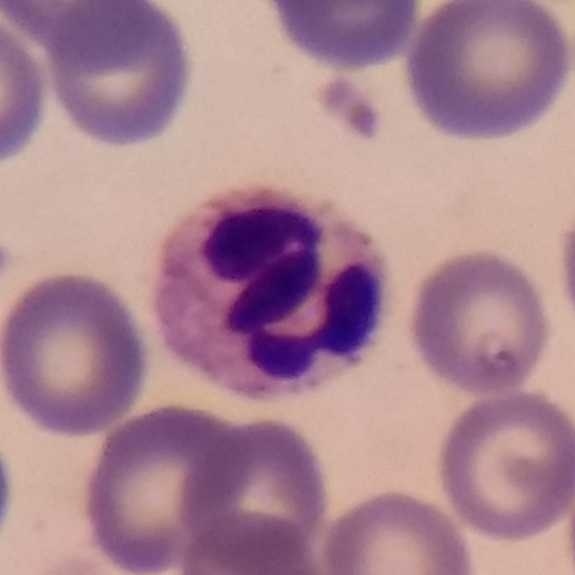
Context: Peripheral blood film. The white blood cell in this image is a neutrophil.